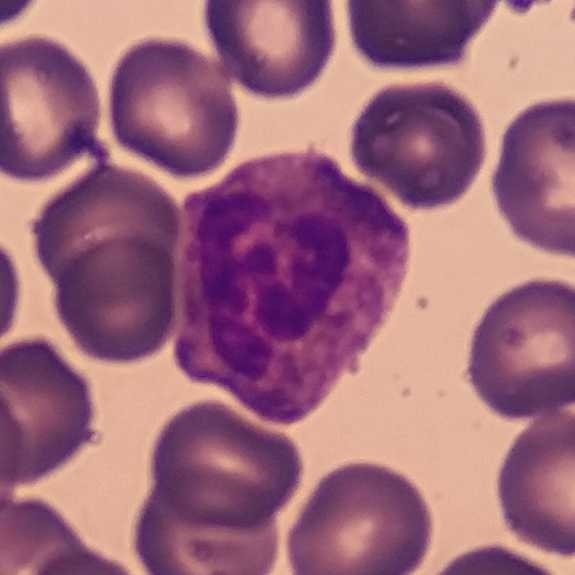

Specimen: peripheral blood film.
Classification: neutrophilic granulocyte.